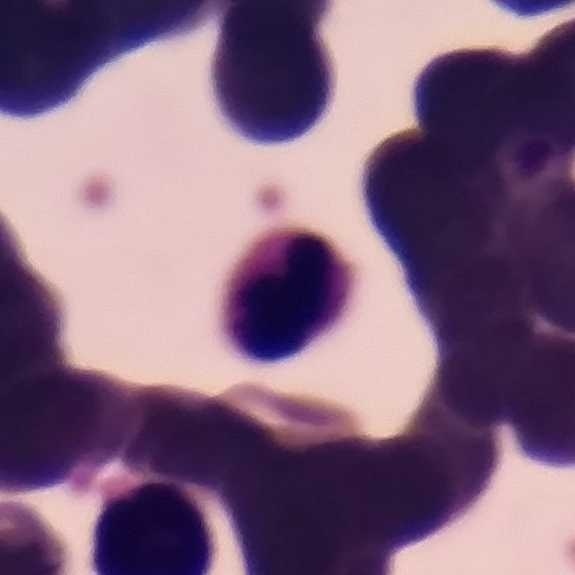

Classification: neutrophilic granulocyte.